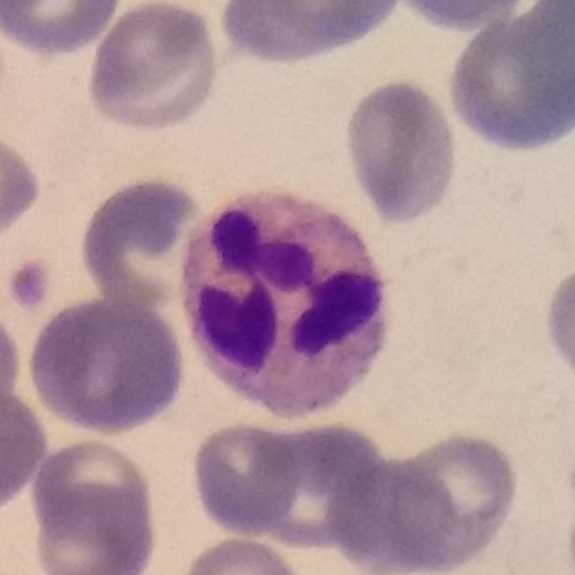Cell type: neutrophilic granulocyte.